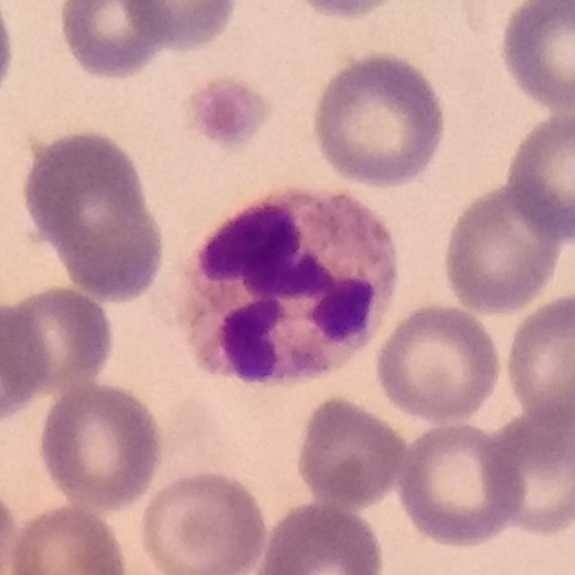Morphological class — neutrophil granulocyte.